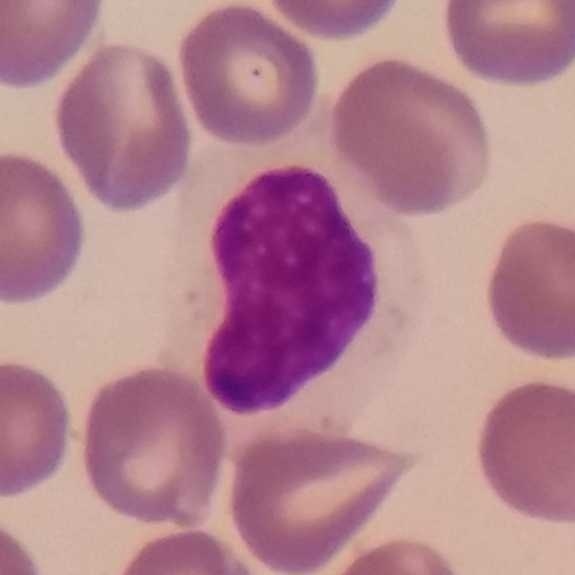
Specimen: peripheral blood film.
Cell type: lymphocyte.
Lineage: lymphoid.